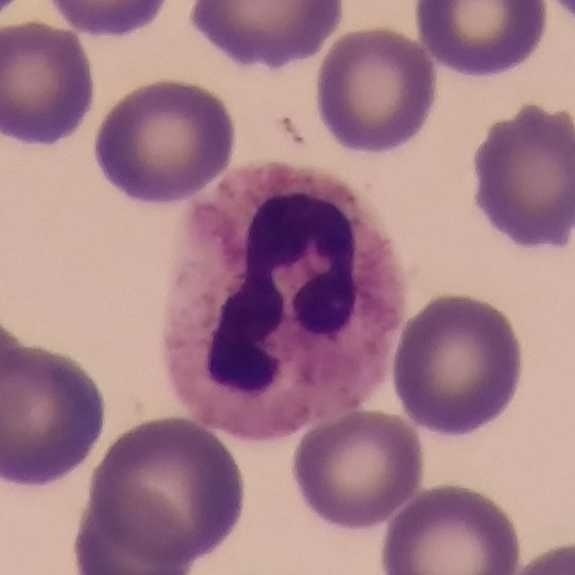 Identified as a neutrophilic granulocyte.

Peripheral blood smear.